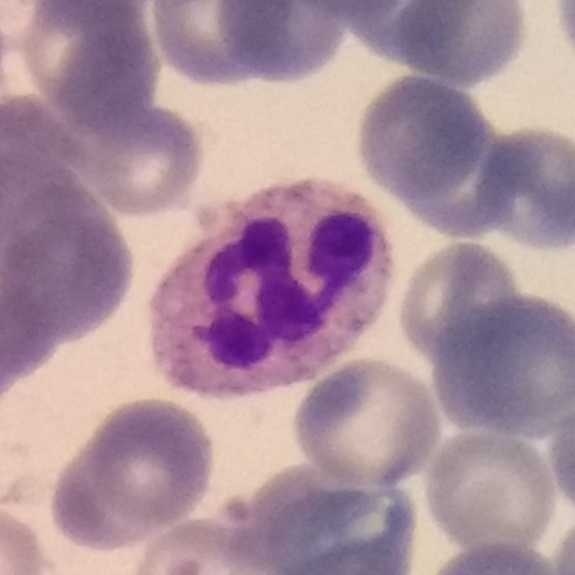Specimen: peripheral blood film.
Classification: neutrophil.
Lineage: myeloid.